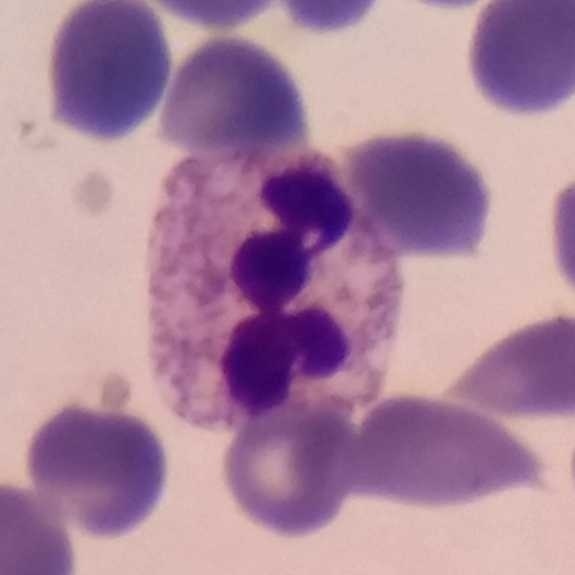Peripheral blood smear.
Q: What type of cell is this?
A: This is a neutrophil.